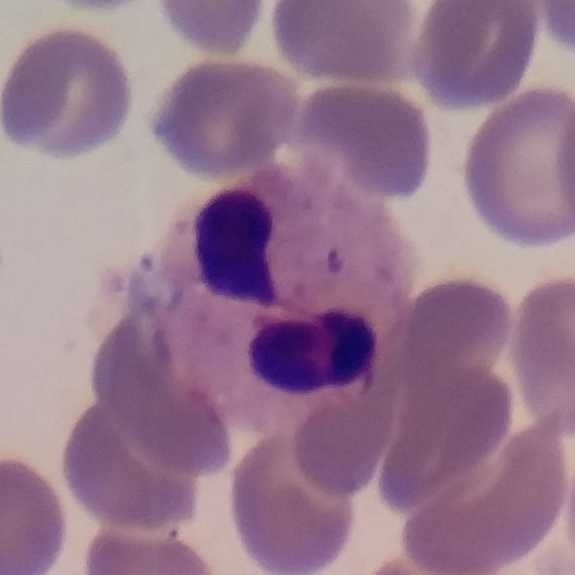

Neutrophilic granulocyte. Peripheral blood film. Magnification 100×.